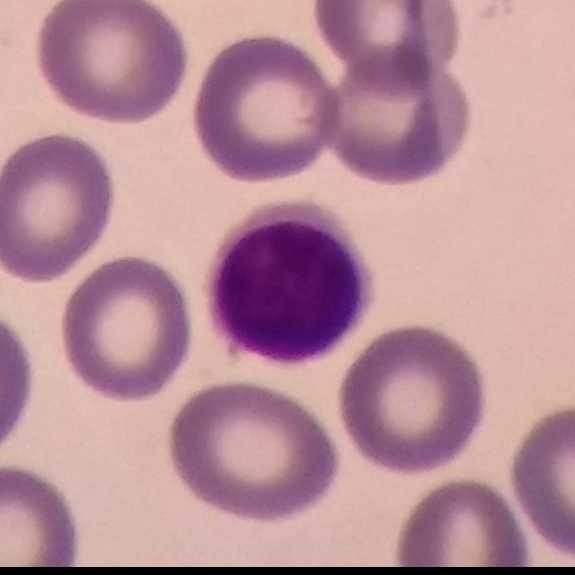Peripheral blood smear.

Cell — lymphocyte.